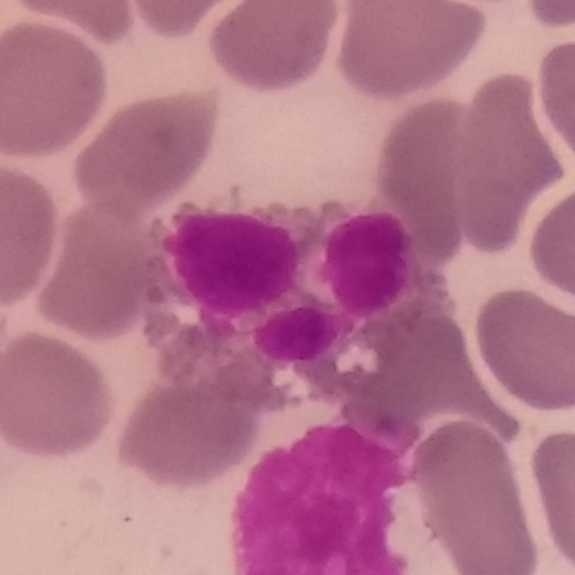 White blood cell type — eosinophil.

Preparation: Peripheral blood film · 100× magnification.